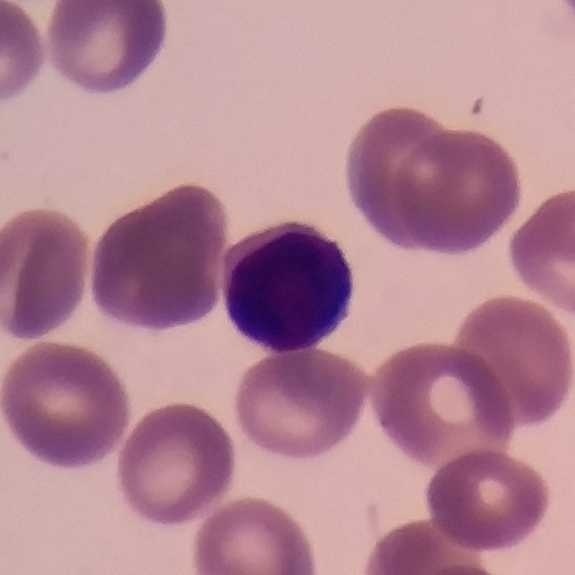 Peripheral blood smear showing a lymphocyte.